575 by 575 pixels. Peripheral blood film. 100× magnification
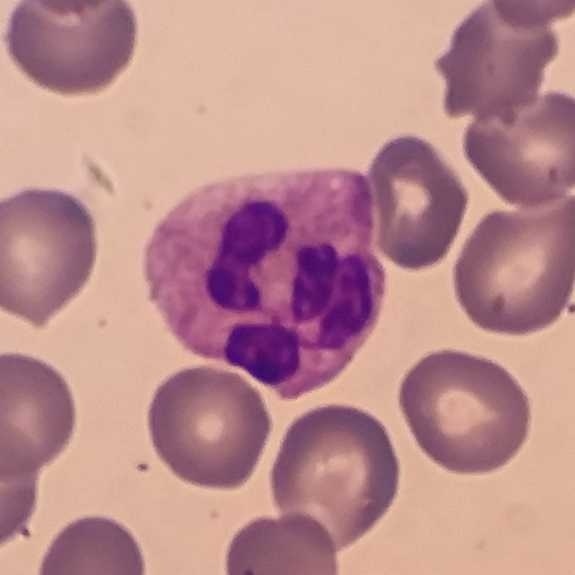

Specimen: peripheral blood smear.
Morphological class: neutrophil granulocyte.
Lineage: myeloid.